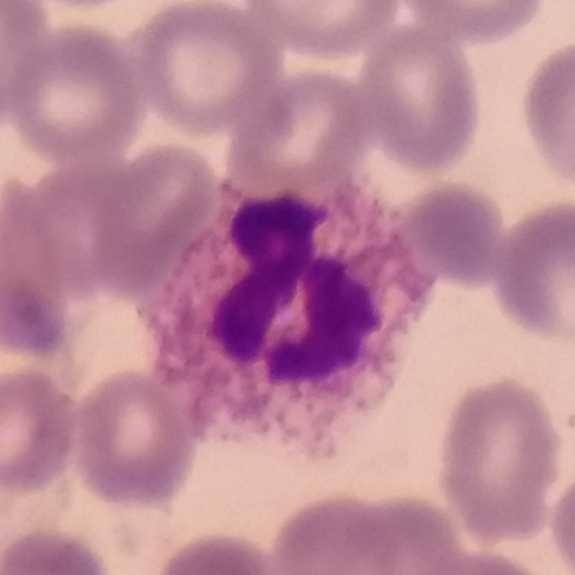

Cell = neutrophil granulocyte.